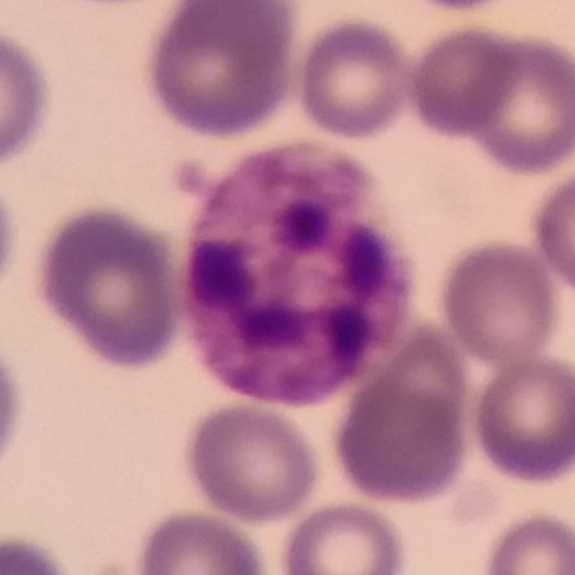
Peripheral blood smear. Giemsa-stained. Single white blood cell cropped from the smear photograph. The white blood cell type is neutrophil granulocyte.